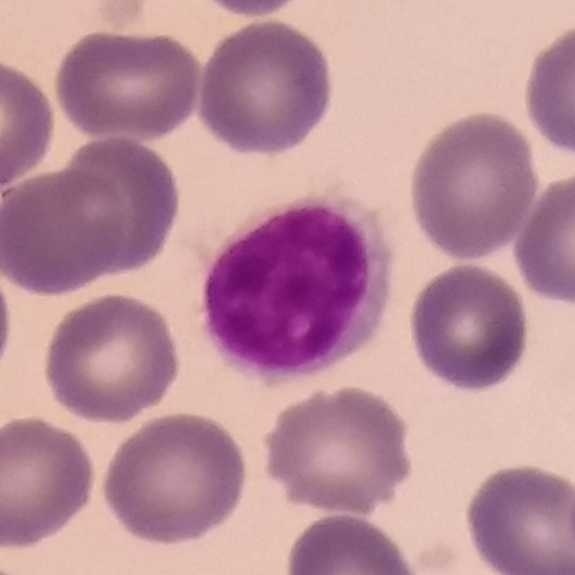
Image: Peripheral blood smear; single-cell field.

Morphology → lymphocyte.